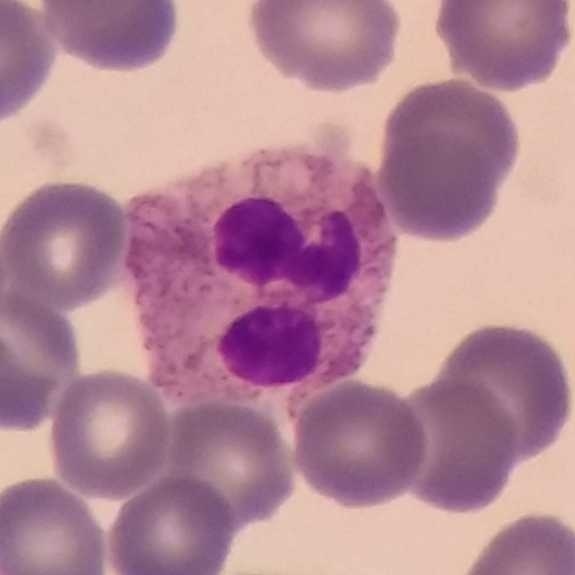 Specimen: peripheral blood smear.
Morphological class: neutrophil.
Lineage: myeloid.